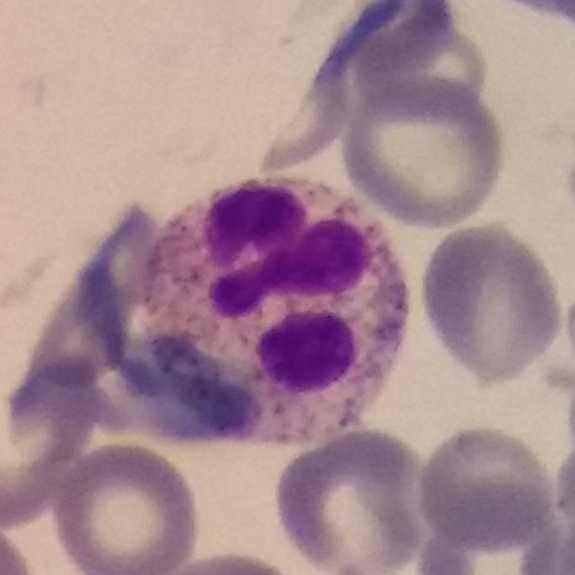The cell type is neutrophil. Peripheral blood smear.